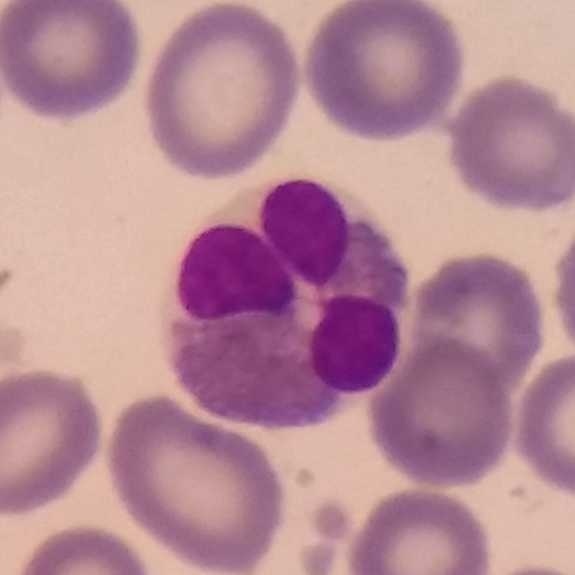 Specimen: peripheral blood smear.
Classification: eosinophil.
Lineage: myeloid.